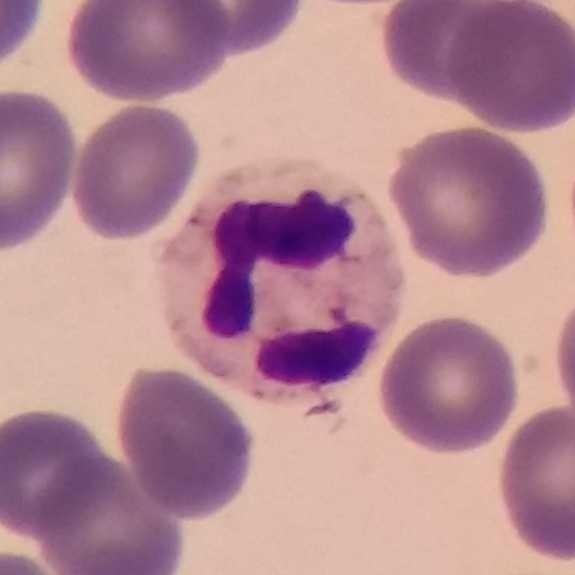Cell type: neutrophil granulocyte. Peripheral blood smear.